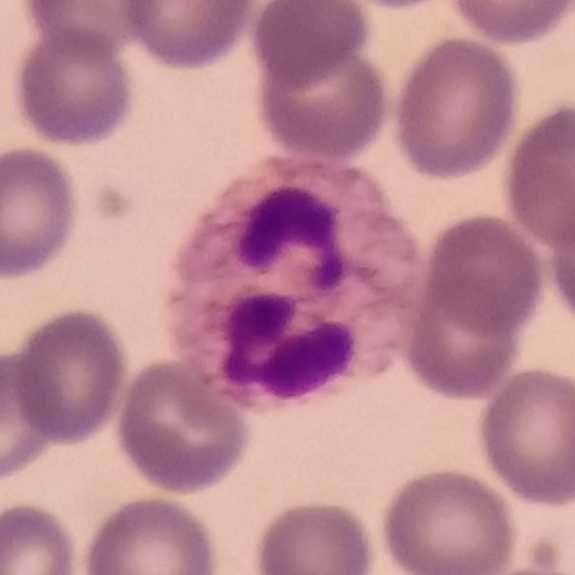Q: Which cell type is shown here?
A: A neutrophilic granulocyte.
Image: Magnification 100×. Peripheral blood film.